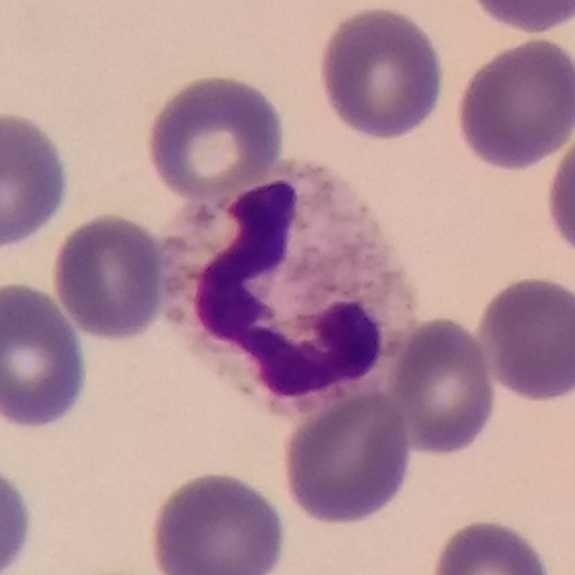
Context: Imaged at 100×. Single white blood cell cropped from the smear photograph. Peripheral blood film.
Cell — neutrophil granulocyte.